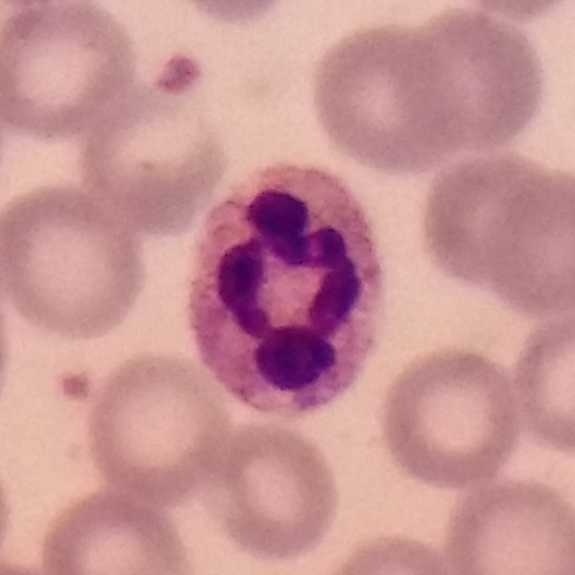Q: What cell is this?
A: A neutrophil.